Phone-camera image taken through the microscope ocular · peripheral blood smear — 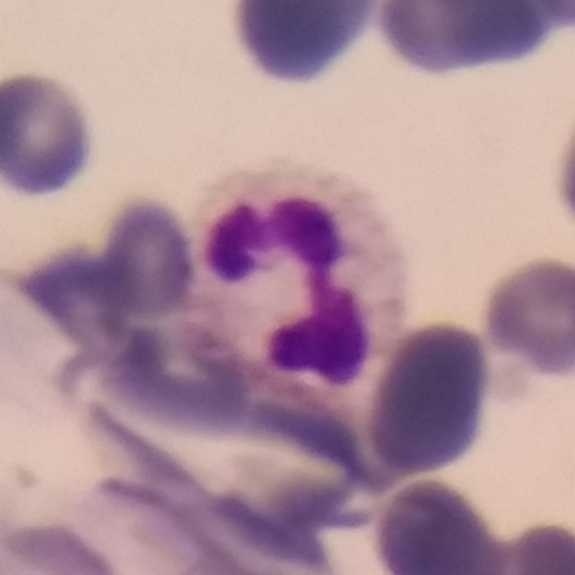Specimen: peripheral blood film.
White blood cell type: neutrophil.